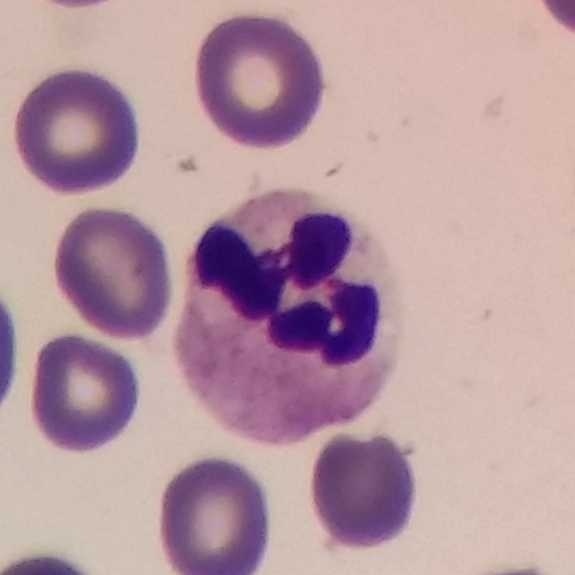

Specimen: peripheral blood smear.
White blood cell type: neutrophil.
Lineage: myeloid.